Peripheral blood film:
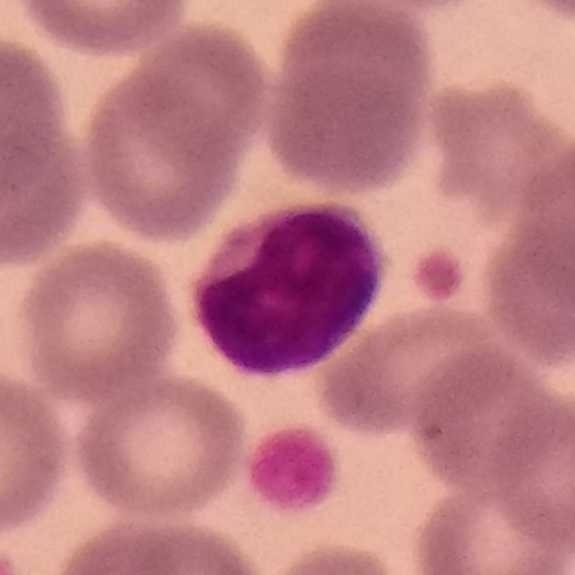

{"cell_type": "lymphocyte", "lineage": "lymphoid"}